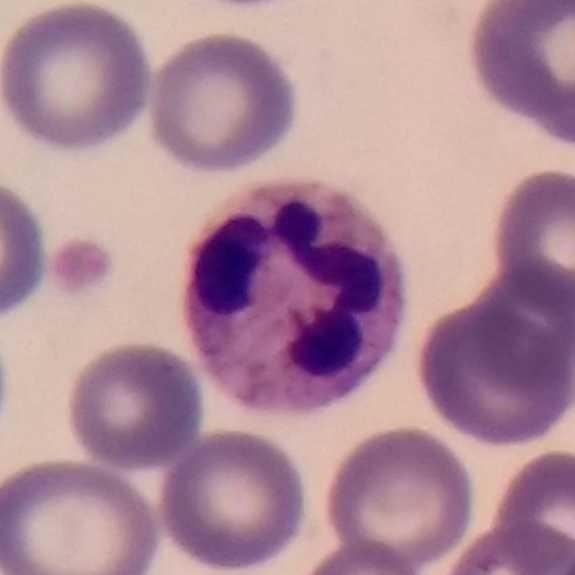

Neutrophil.